Cropped to one leukocyte. Peripheral blood film
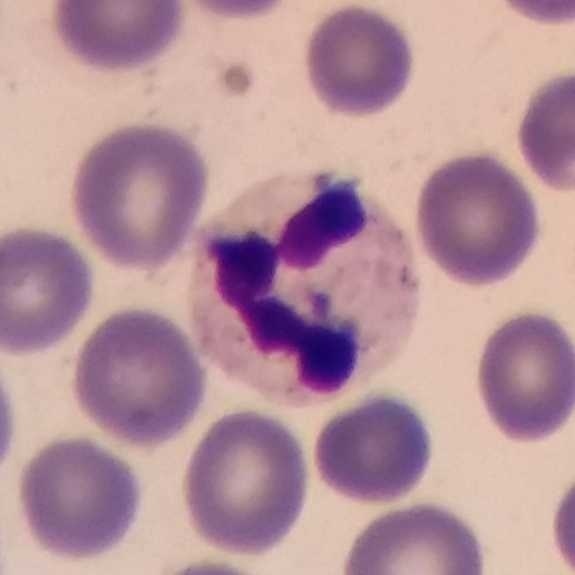
Specimen: peripheral blood film.
Cell: neutrophil granulocyte.
Lineage: myeloid.